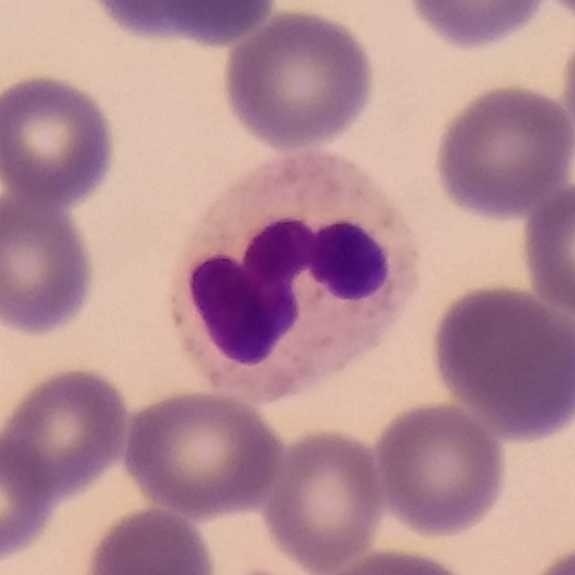 Morphology — neutrophil granulocyte.